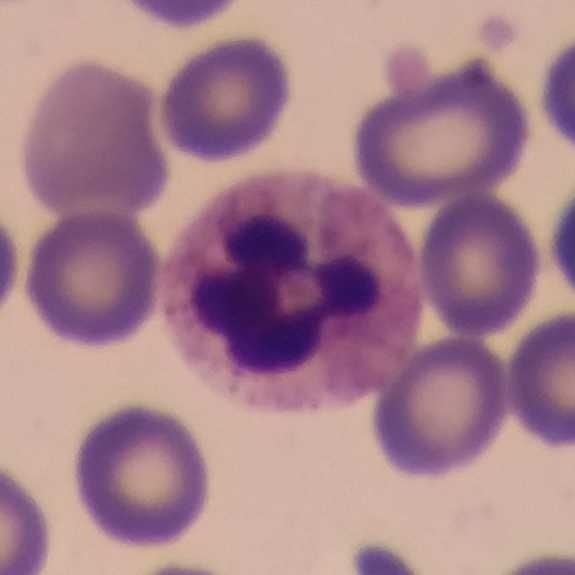

White blood cell type = neutrophil.
Giemsa-stained. Peripheral blood film.